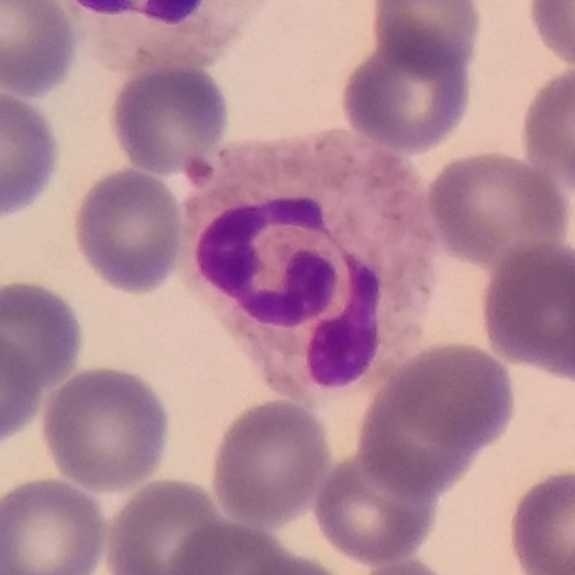
This is a neutrophil granulocyte.